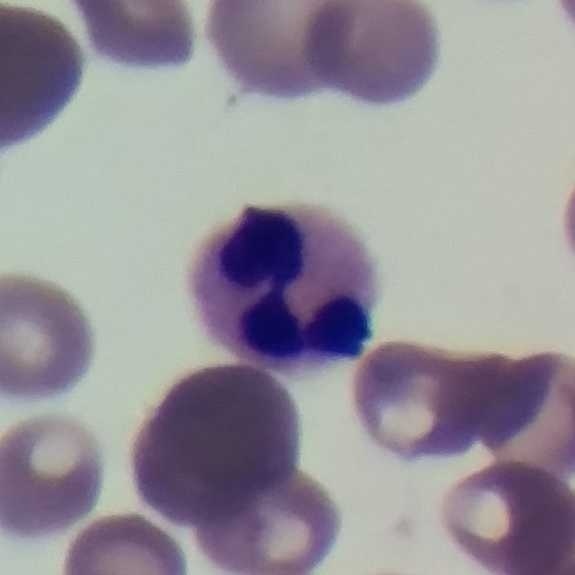
Q: What type of cell is this?
A: A neutrophil granulocyte.